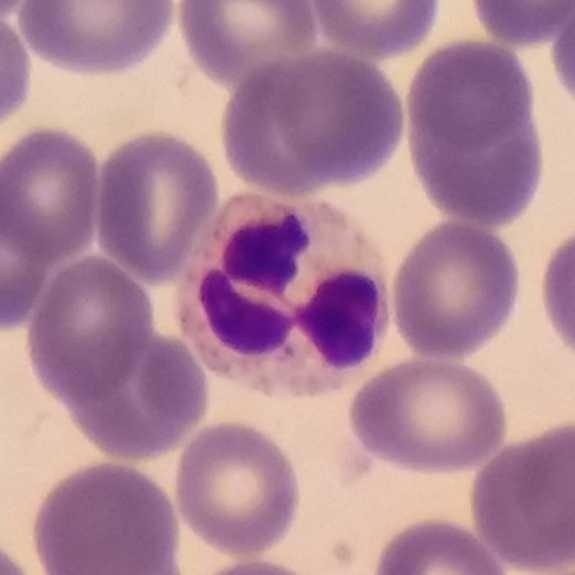 Neutrophilic granulocyte.
Context: 575 by 575 pixels · peripheral blood smear.